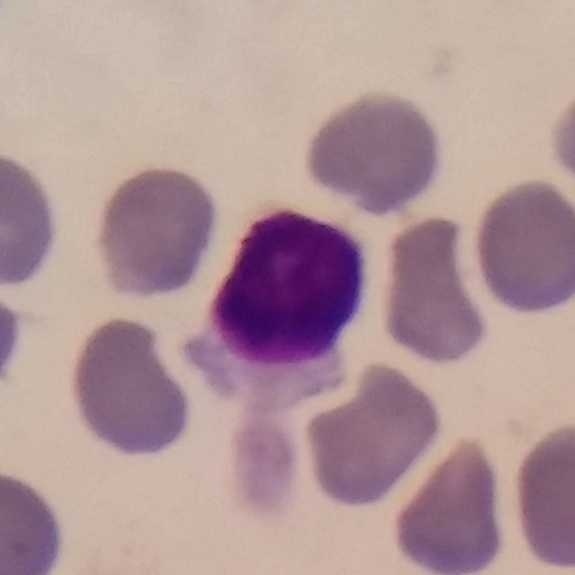White blood cell type — lymphocyte.

Acquisition: Peripheral blood smear.